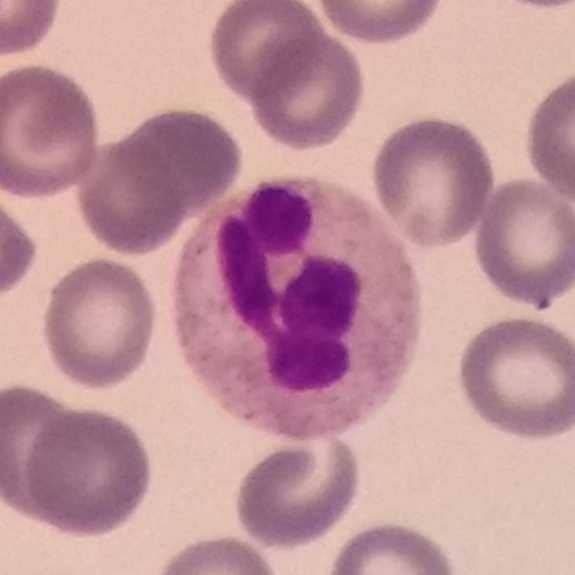

Context: Peripheral blood film. Morphological class: neutrophilic granulocyte.